575×575 px. Single-cell crop. Peripheral blood smear:
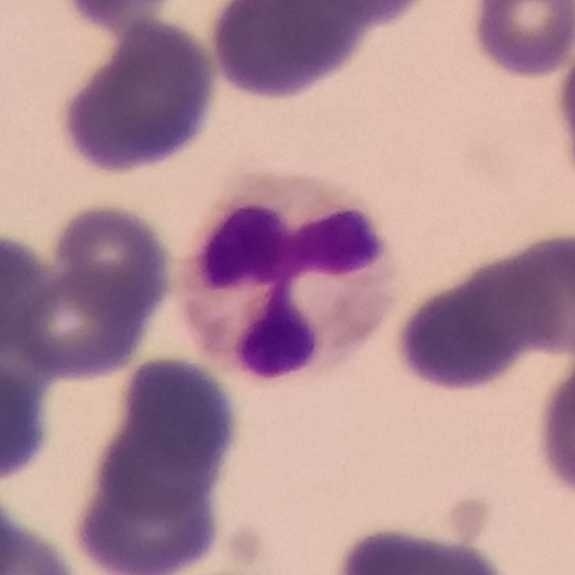
Cell type — neutrophil.